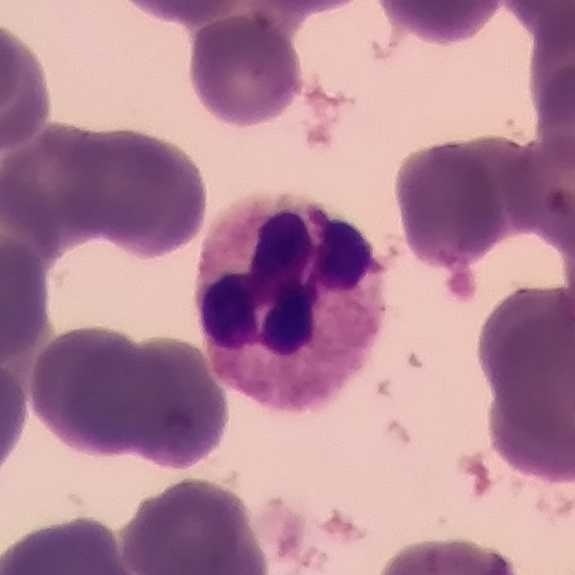
Q: What is this?
A: This is a neutrophilic granulocyte.
Context: Peripheral blood film.